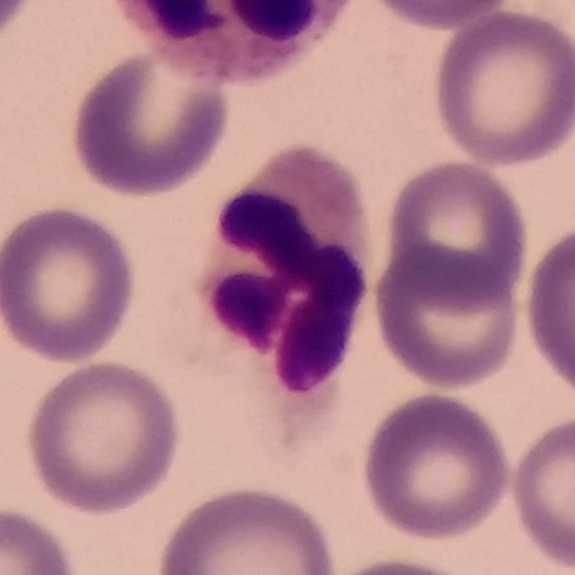 Context: Peripheral blood smear.

The morphological class is neutrophilic granulocyte.